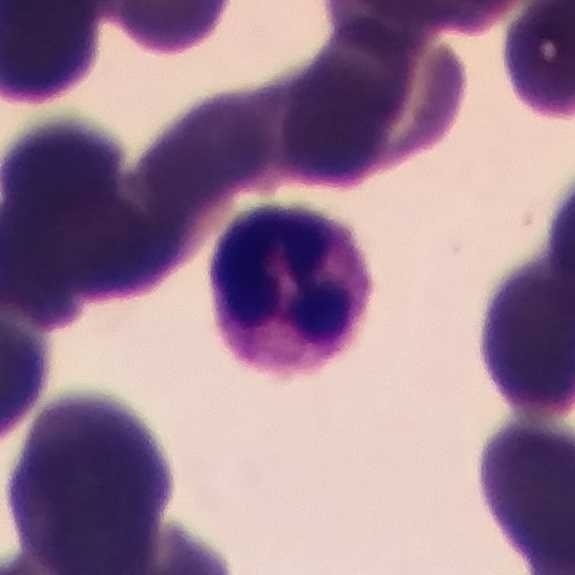 Image: 575×575 px. Peripheral blood film.
A neutrophil.